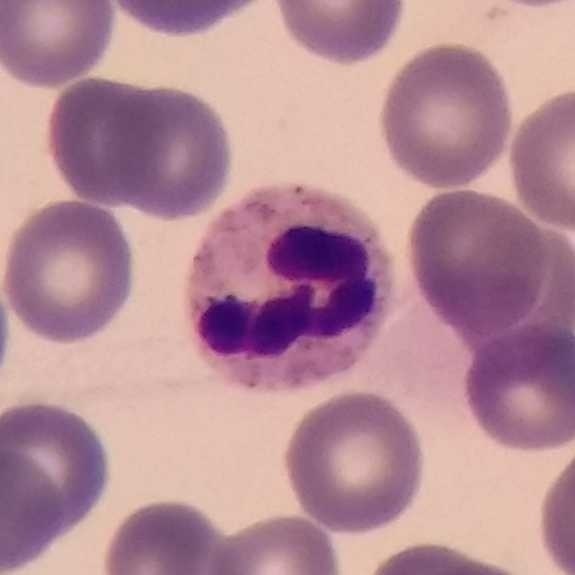
The cell type is neutrophil. Peripheral blood film; smartphone camera mounted on the microscope eyepiece.